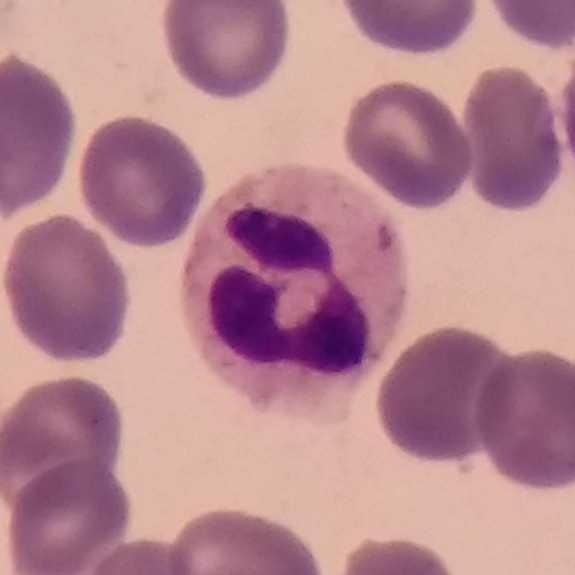
Cell type: neutrophilic granulocyte.

Image: Peripheral blood film.